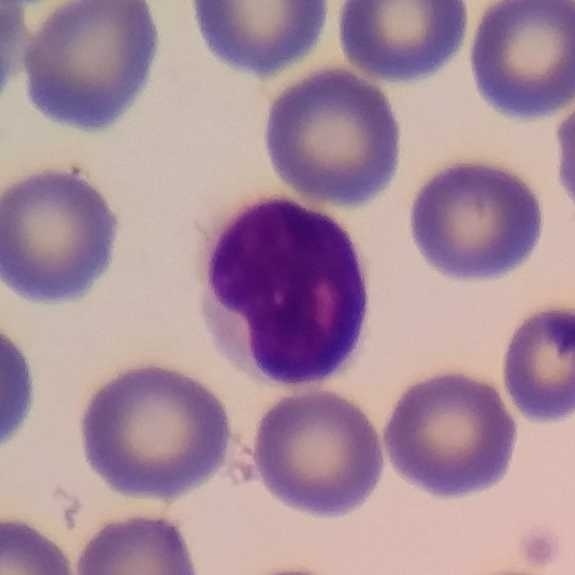 {"cell_type": "lymphocyte", "lineage": "lymphoid"} Acquisition: Peripheral blood smear.